Peripheral blood smear.
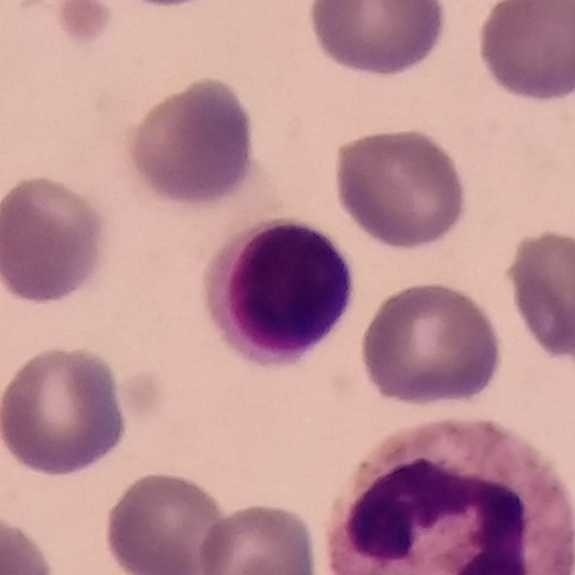Single cell identified as a lymphocyte.